Peripheral blood smear:
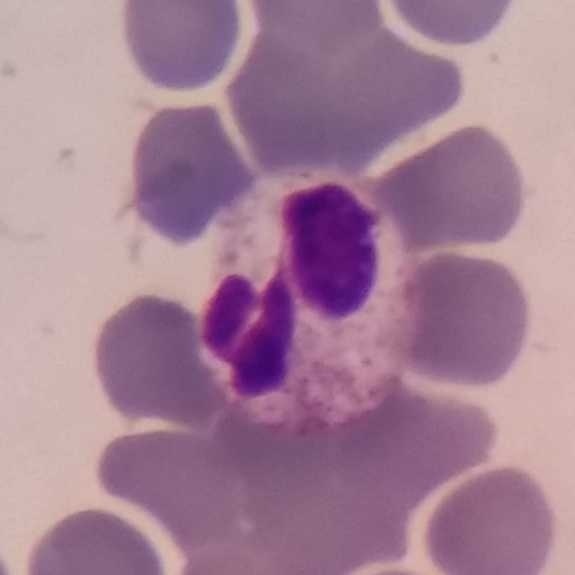
This is a neutrophilic granulocyte.